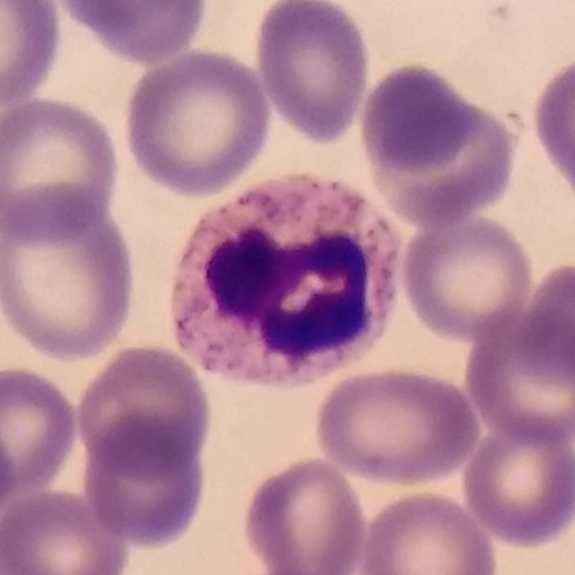
Image: Peripheral blood smear. Neutrophil.